575 by 575 pixels; 100× magnification; peripheral blood smear:
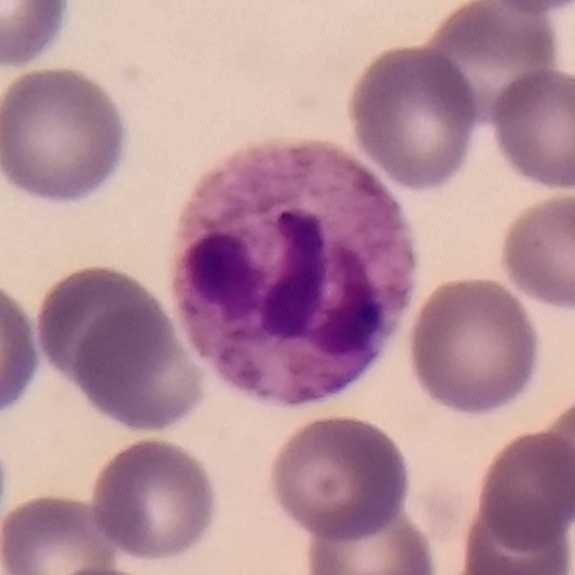

A neutrophil.